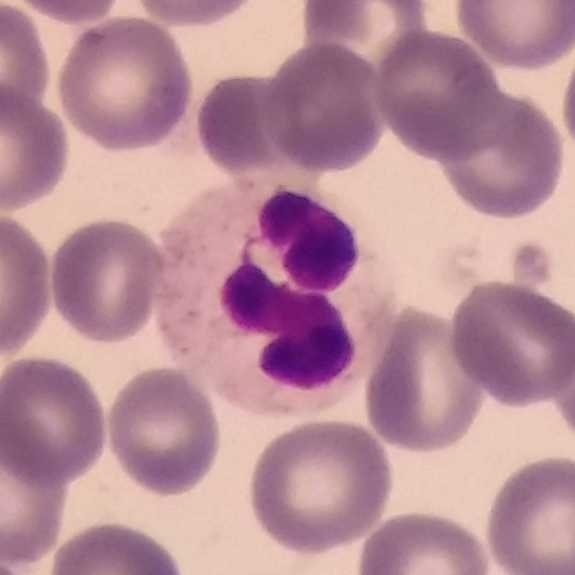Cell: neutrophilic granulocyte.